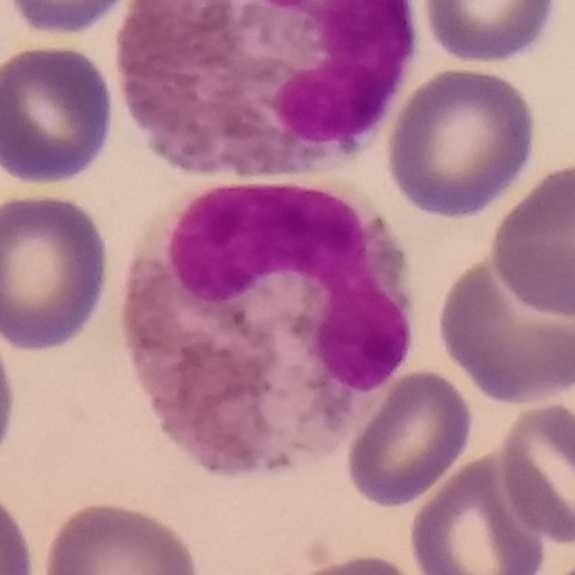

Cell type = eosinophil. Image: Magnification 100×. Peripheral blood film. 575×575 px.